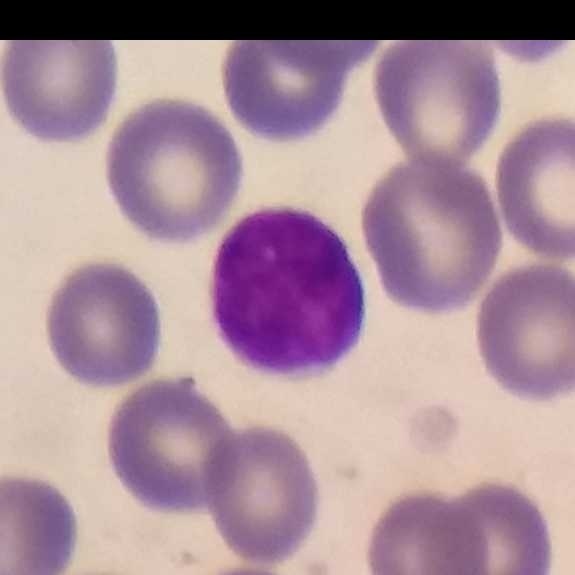Specimen: peripheral blood smear.
White blood cell type: lymphocyte.